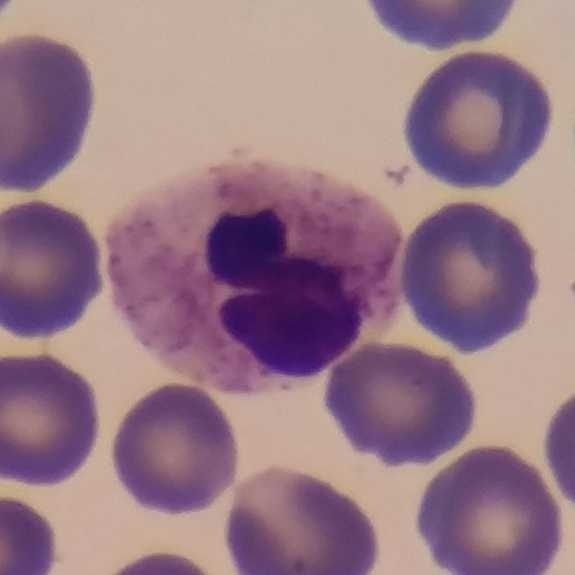

Showing a neutrophil granulocyte.